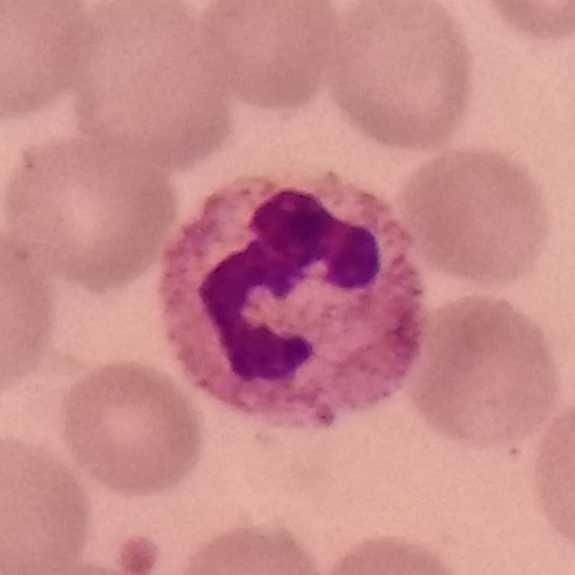

Cell type: neutrophil.